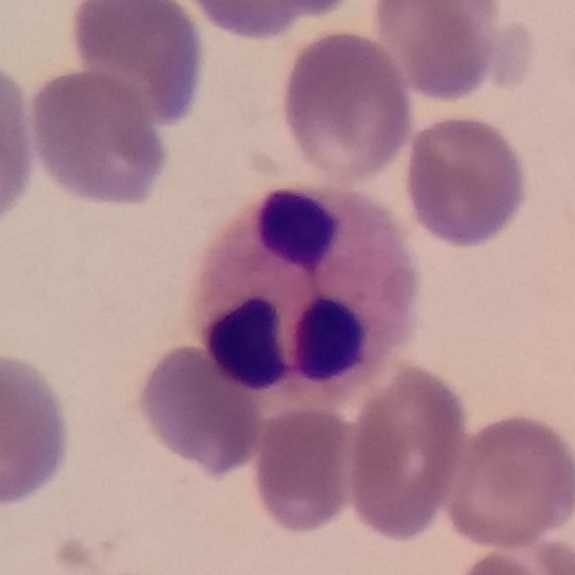
Context: Peripheral blood smear. A neutrophil granulocyte.